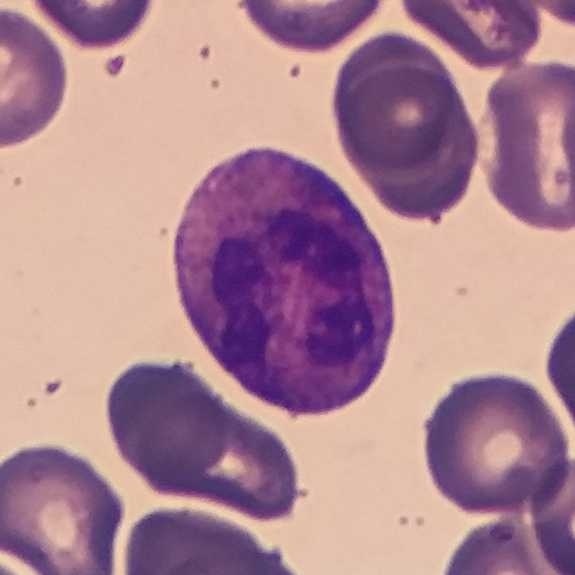 Image: Peripheral blood smear.
Identified as a neutrophil.